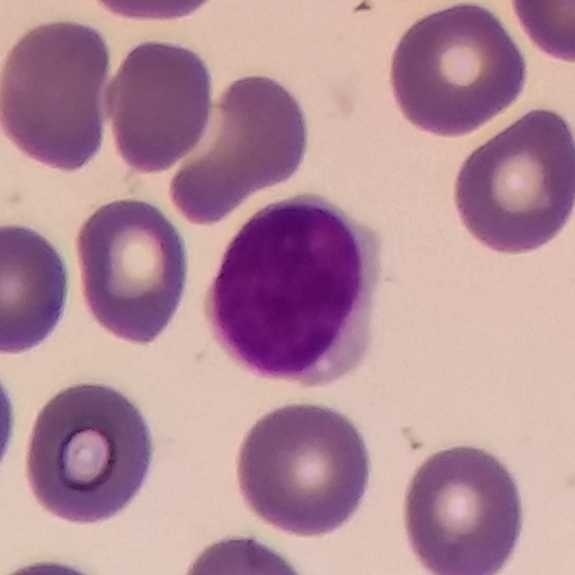
Identified as a lymphocyte.